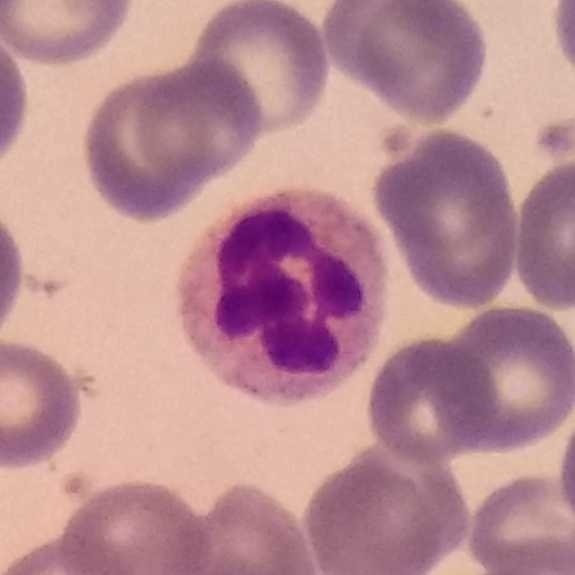

The morphological class is neutrophilic granulocyte.
Image size 575×575. Peripheral blood smear.